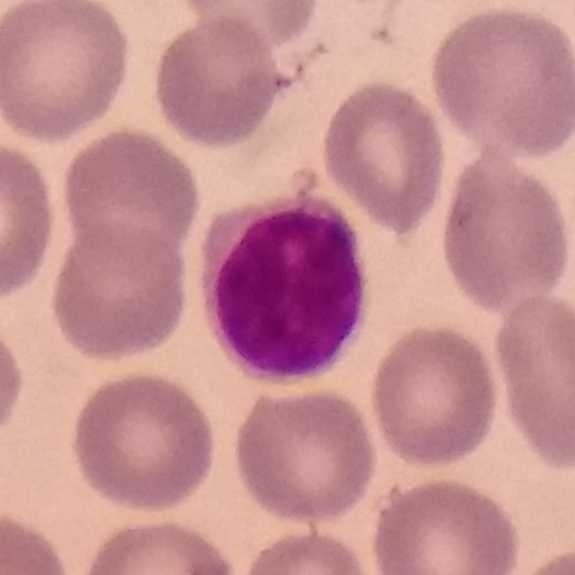
Impression — lymphocyte.